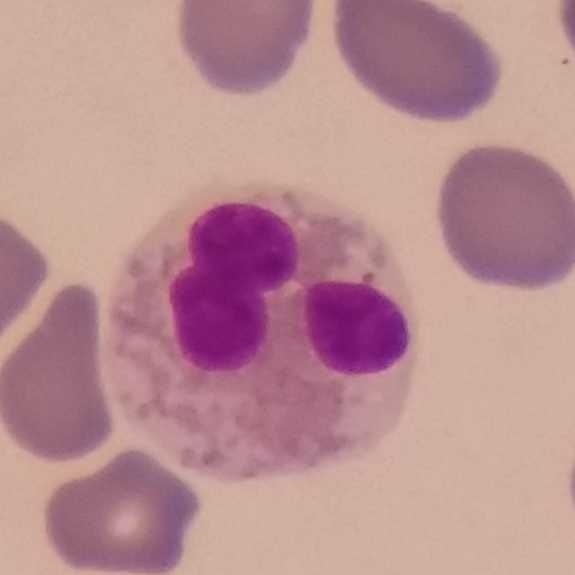Context: Peripheral blood film.
Cell = eosinophil.